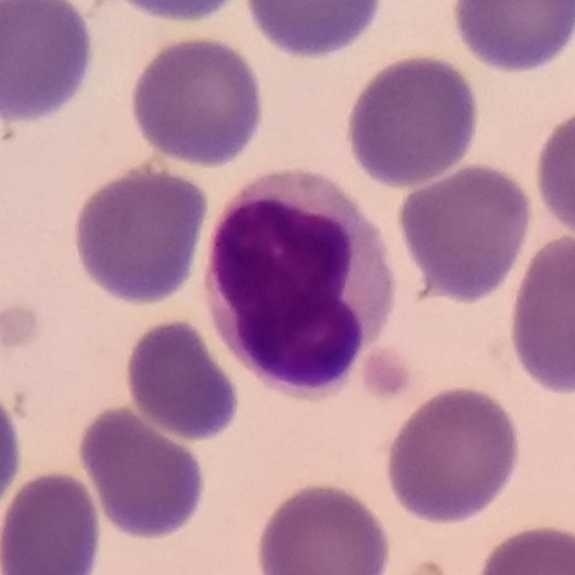 Image: Peripheral blood smear. White blood cell type: lymphocyte.